Giemsa stain · 575×575 px · peripheral blood film
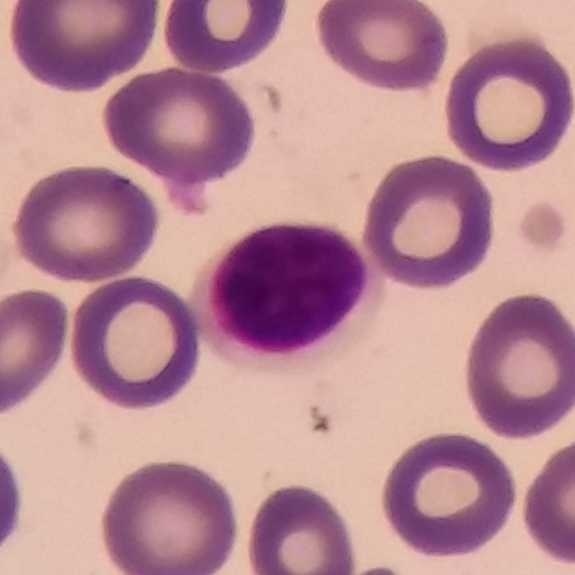 Specimen: peripheral blood film.
White blood cell type: lymphocyte.
Lineage: lymphoid.